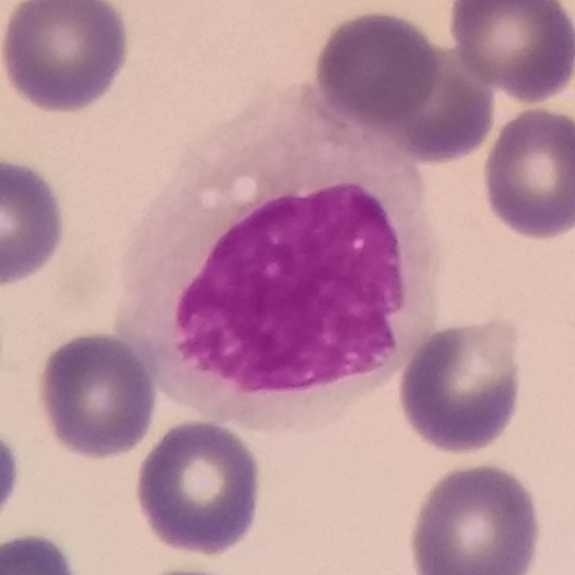 Impression — monocyte.
Context: Peripheral blood smear.